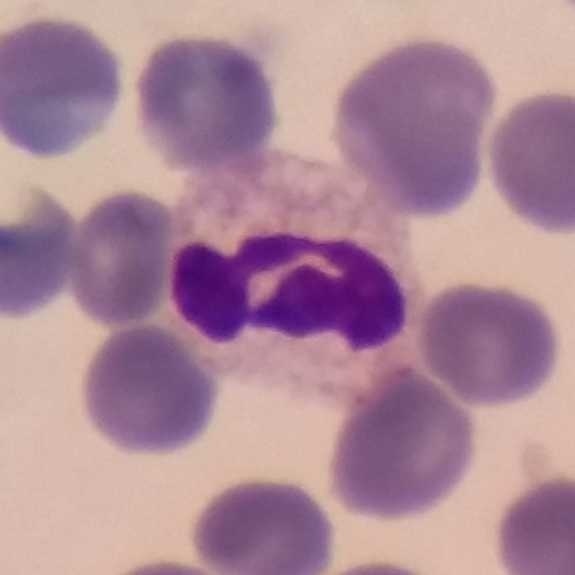
Giemsa-stained. Peripheral blood film. Image size 575×575. Neutrophil granulocyte.